Peripheral blood smear
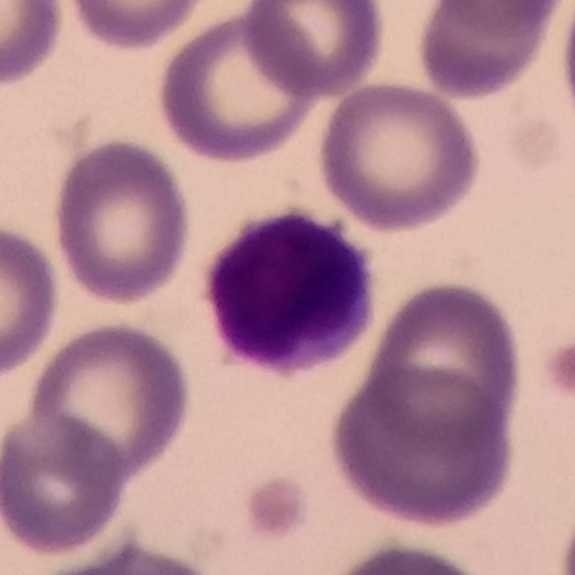

Specimen: peripheral blood film.
White blood cell type: lymphocyte.
Lineage: lymphoid.